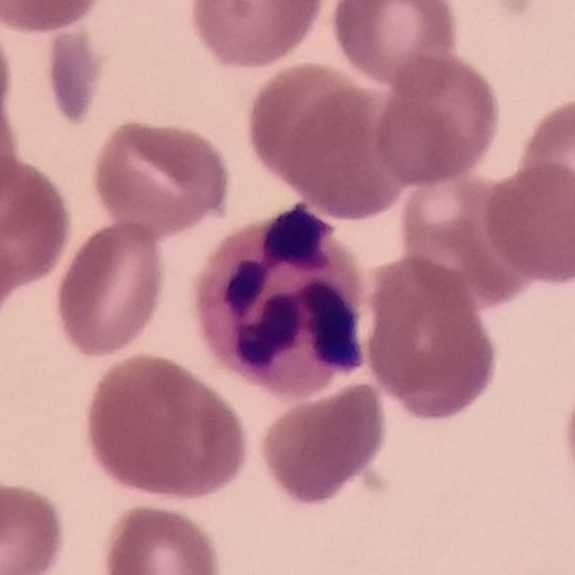
{"cell_type": "neutrophil granulocyte", "lineage": "myeloid"}